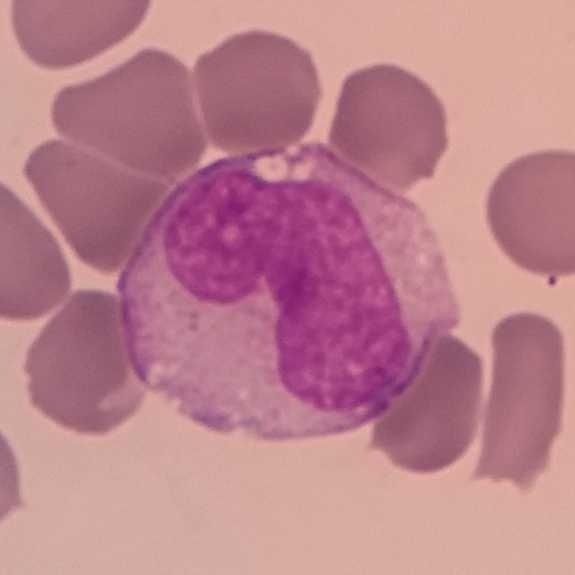
Identified as a monocyte.